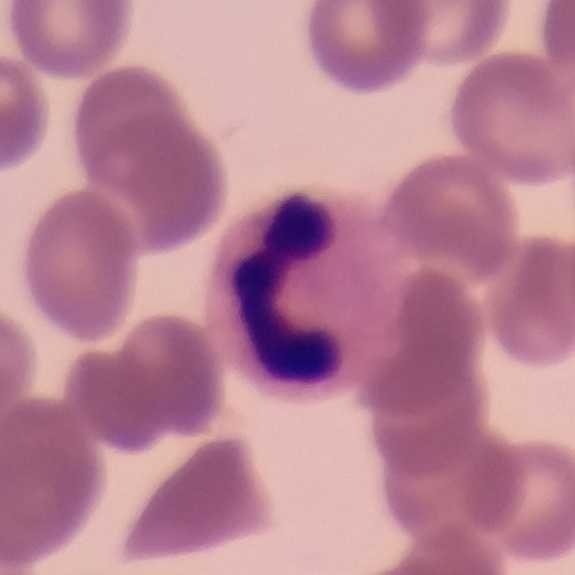Acquisition: Peripheral blood film; single white blood cell cropped from the smear photograph; photographed through a light microscope with a smartphone camera. Morphological class = neutrophil.